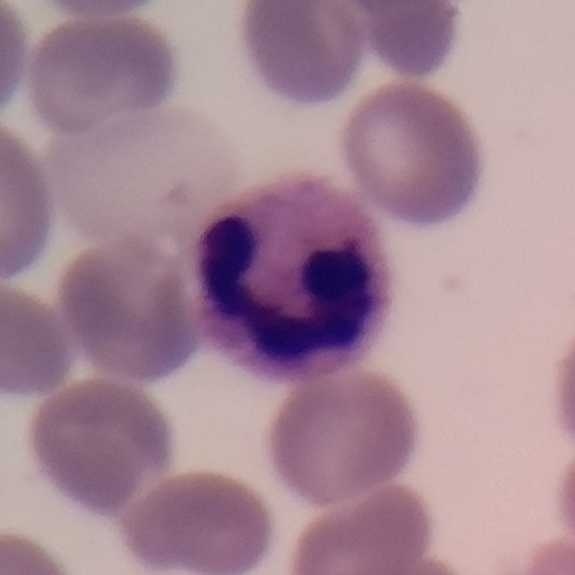

White blood cell type = neutrophil granulocyte. Peripheral blood smear.